Peripheral blood smear
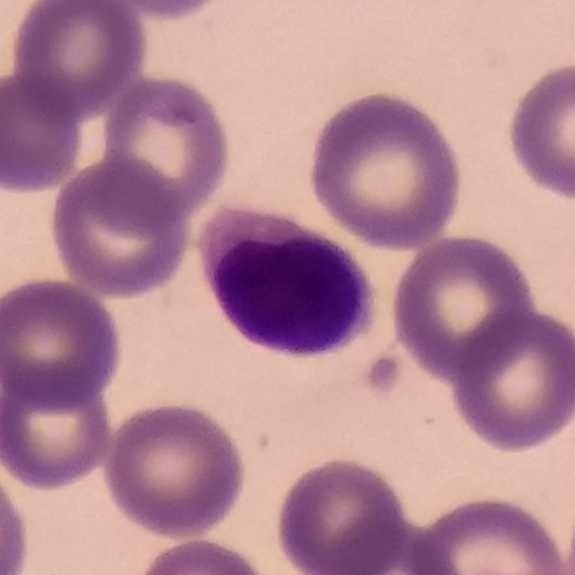

Morphological class: lymphocyte.